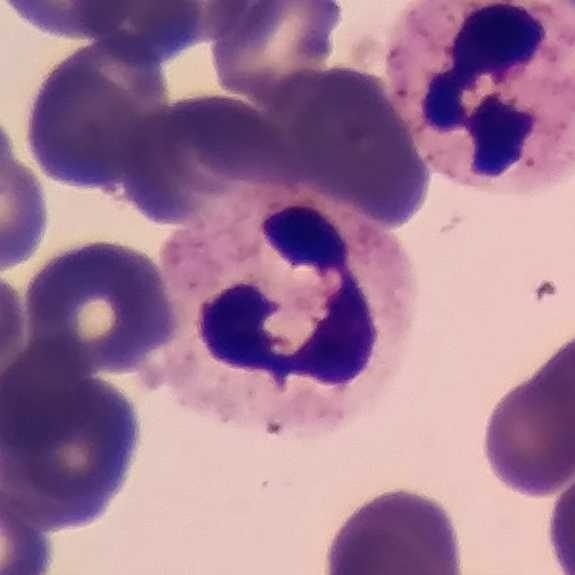 Context: Peripheral blood smear.

White blood cell type: neutrophilic granulocyte.